Peripheral blood film.
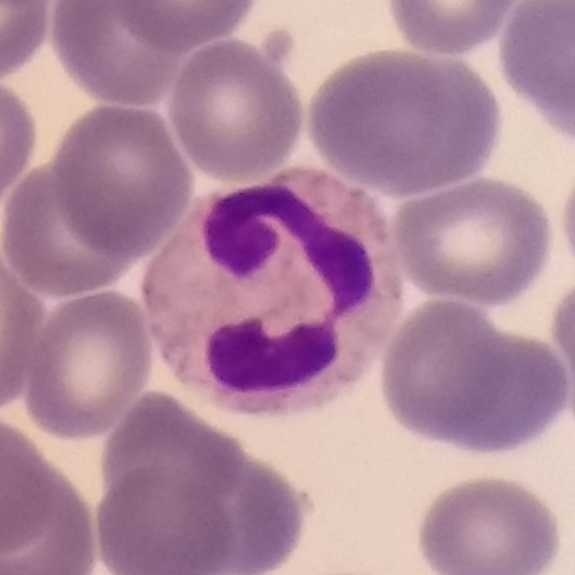
Neutrophil.